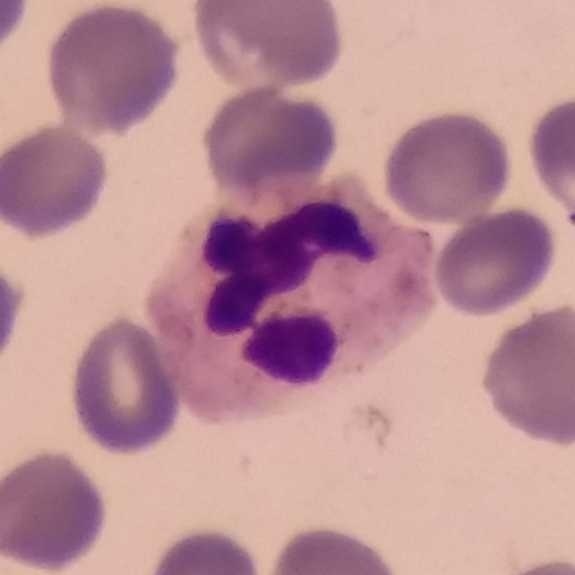 This is a neutrophil.